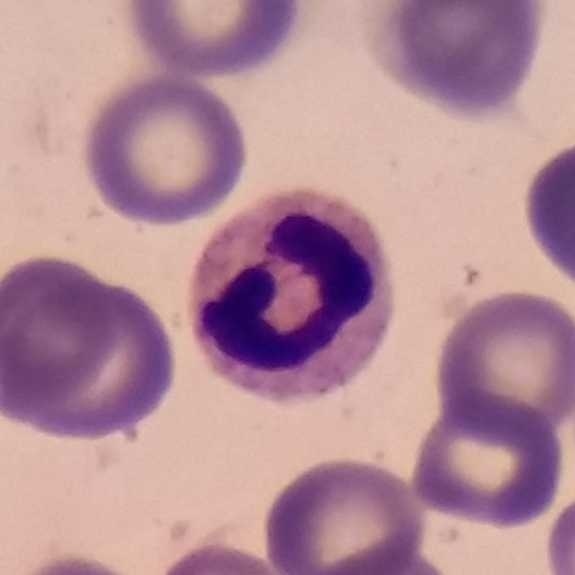

Cell — neutrophilic granulocyte.